Single white blood cell cropped from the smear photograph. Peripheral blood smear — 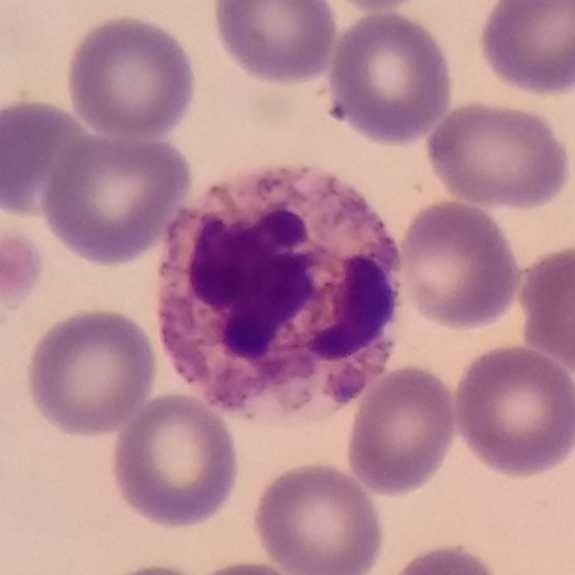
Cell = neutrophilic granulocyte.